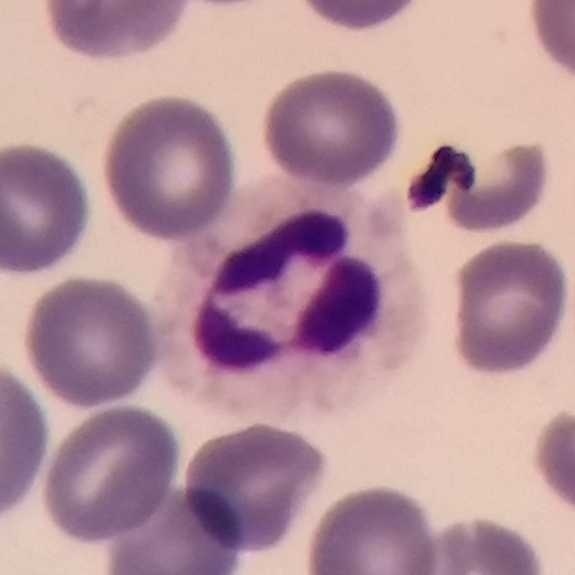 Acquisition: Photographed through a light microscope with a smartphone camera. Peripheral blood film. Image size 575×575. Q: What type of cell is this?
A: A neutrophil granulocyte.